Peripheral blood smear. 575×575 px
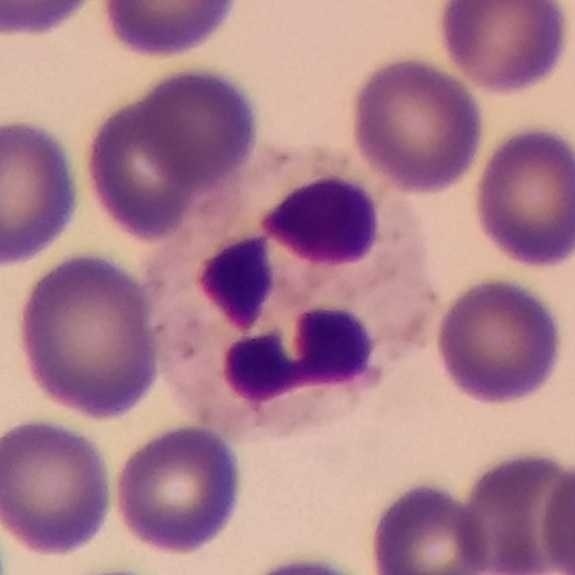
Showing a neutrophilic granulocyte.